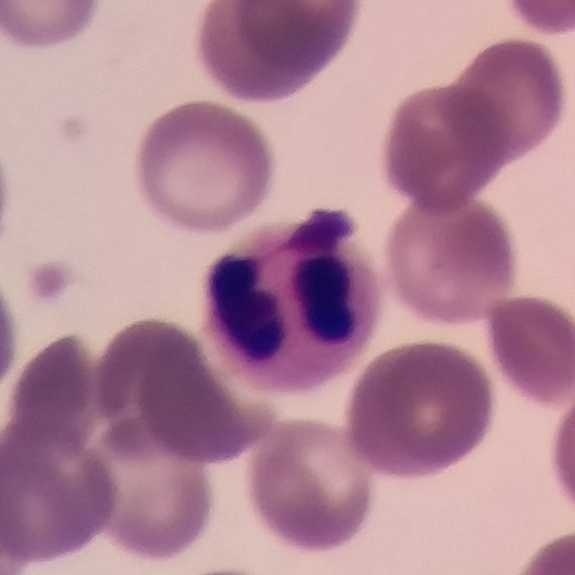

The morphological class is neutrophil. Image: Peripheral blood film.